Phone-camera image taken through the microscope ocular · peripheral blood film:
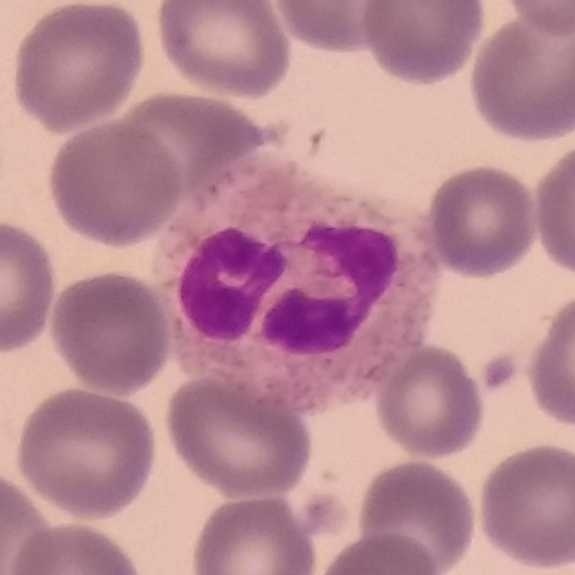 Specimen: peripheral blood film.
Morphological class: neutrophil.